Peripheral blood smear: 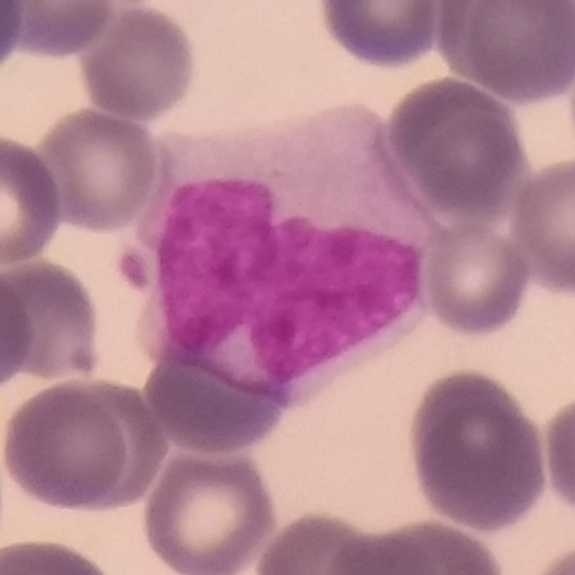

Specimen: peripheral blood smear.
Cell: monocyte.
Lineage: myeloid.